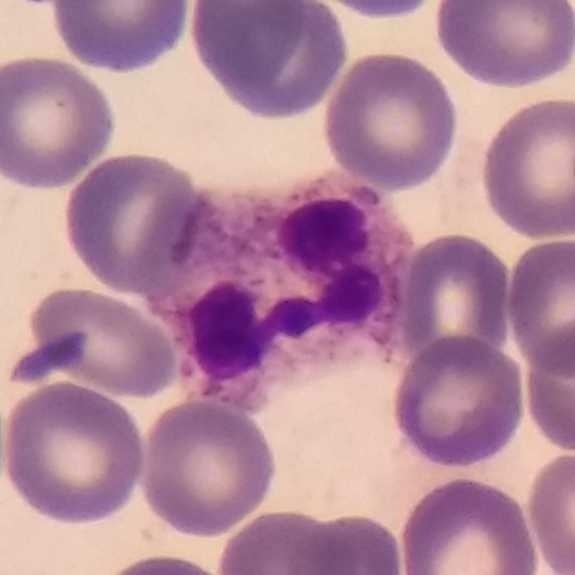
Preparation: Peripheral blood smear · magnification 100×.
Neutrophil granulocyte.